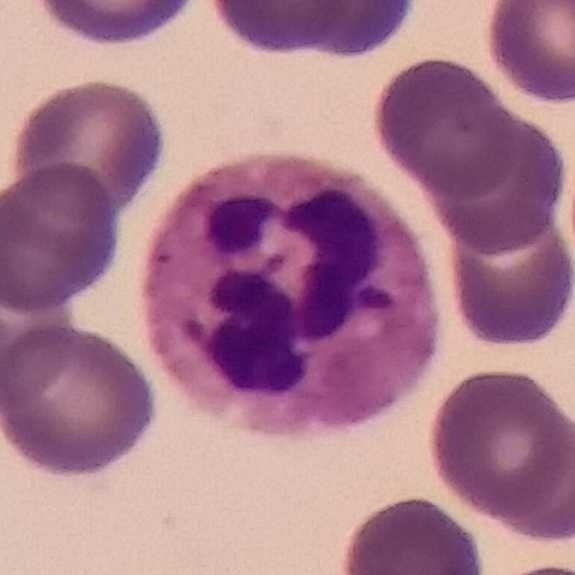Impression → neutrophilic granulocyte.